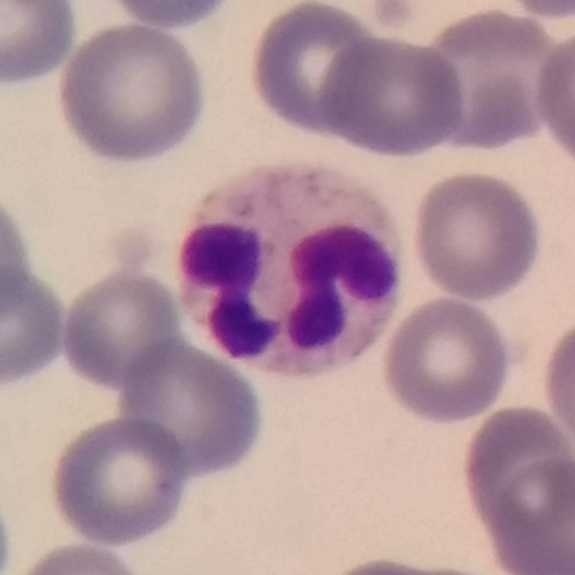Specimen: peripheral blood film.
Cell: neutrophil granulocyte.
Lineage: myeloid.